Photographed through a light microscope with a smartphone camera. Peripheral blood film:
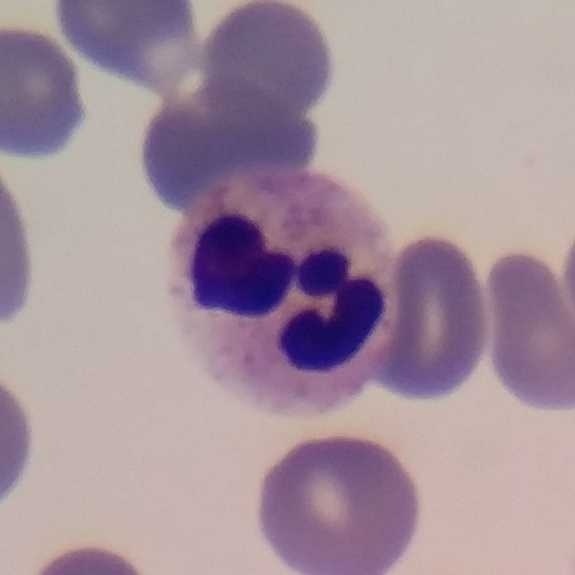

Morphology — neutrophil.